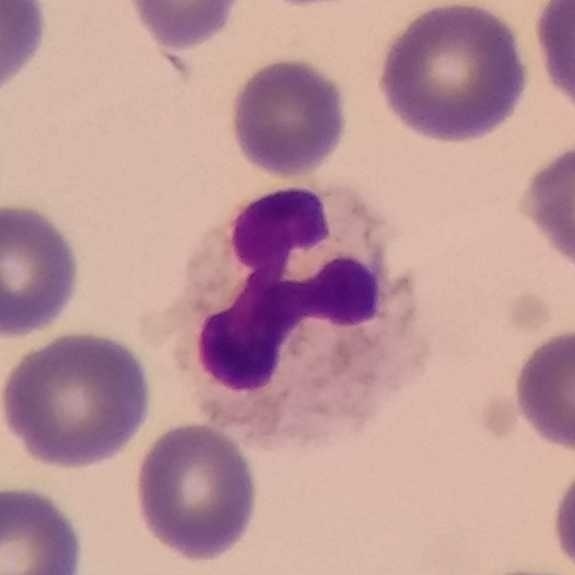Peripheral blood smear showing a neutrophil granulocyte.